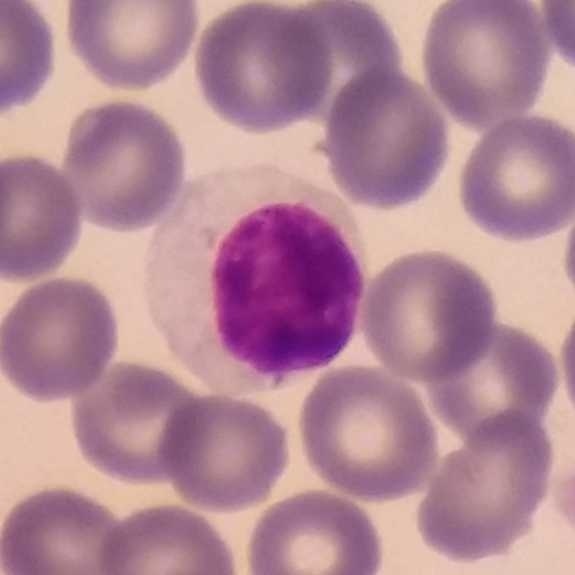 Image: Peripheral blood film.

Single cell identified as a lymphocyte.